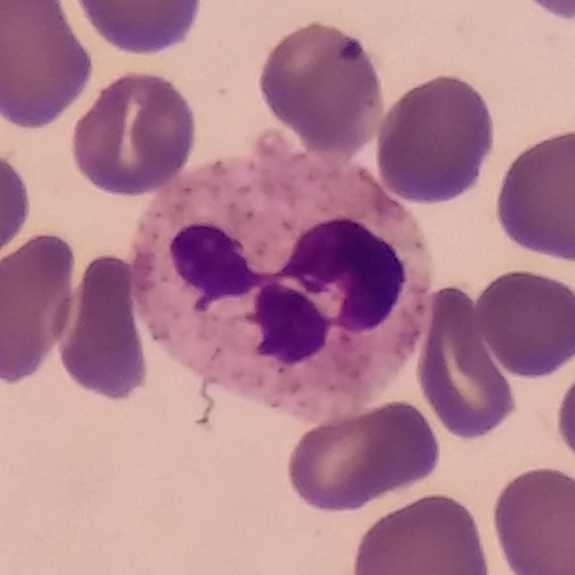A neutrophil.

Peripheral blood film.